Peripheral blood smear: 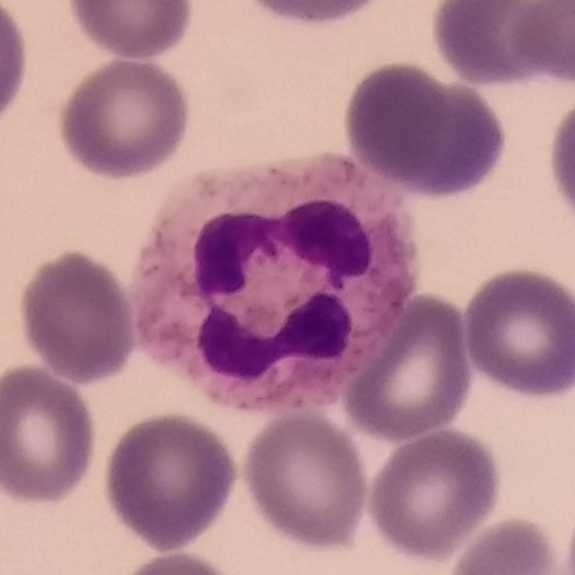The white blood cell in this image is a neutrophil.